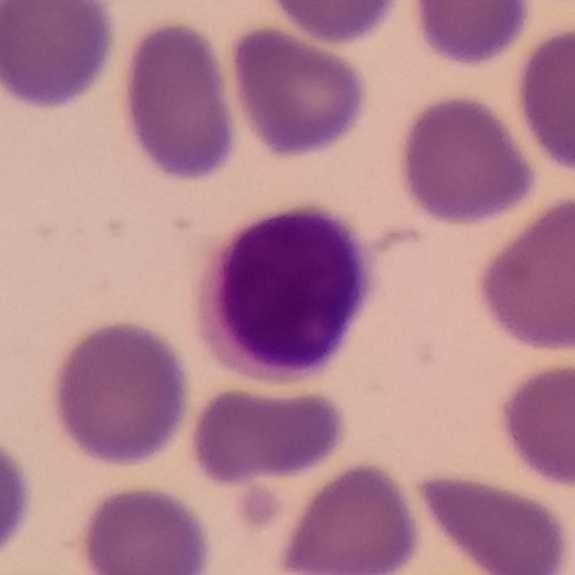
Stained with Giemsa; peripheral blood film. Morphological class: lymphocyte.